Giemsa stain. Peripheral blood film. Single white blood cell cropped from the smear photograph.
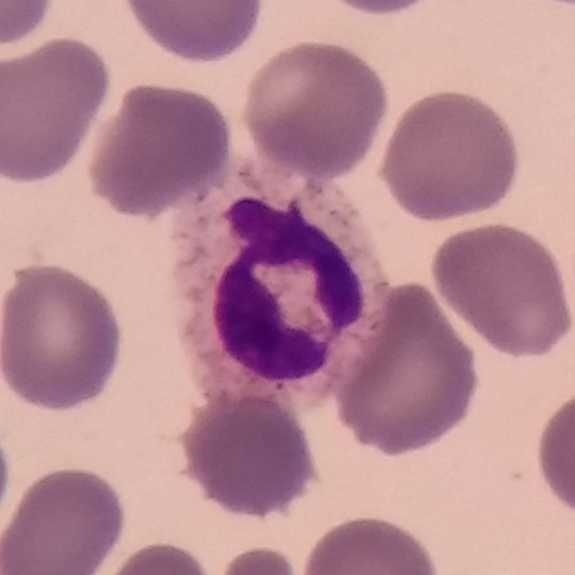 Cell type: neutrophilic granulocyte.